Peripheral blood smear; stained with Giemsa — 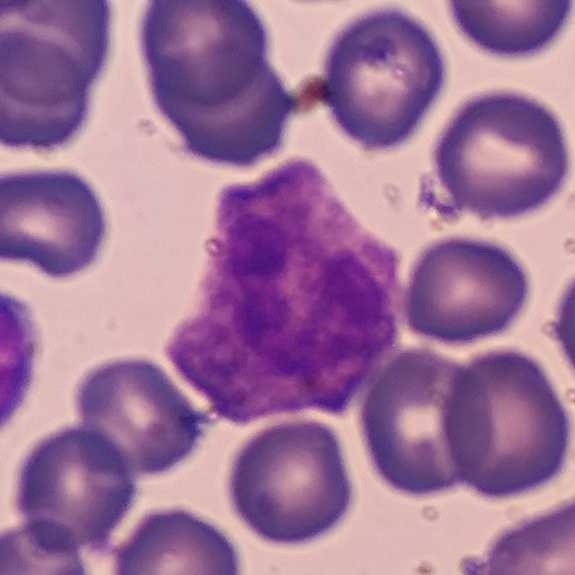

Q: What is the morphological classification of this cell?
A: Neutrophil.